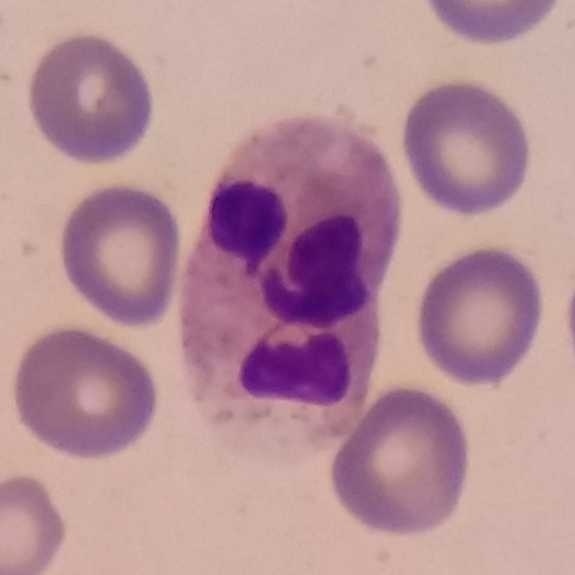 A neutrophilic granulocyte.